Single white blood cell cropped from the smear photograph. Magnification 100×. Peripheral blood smear — 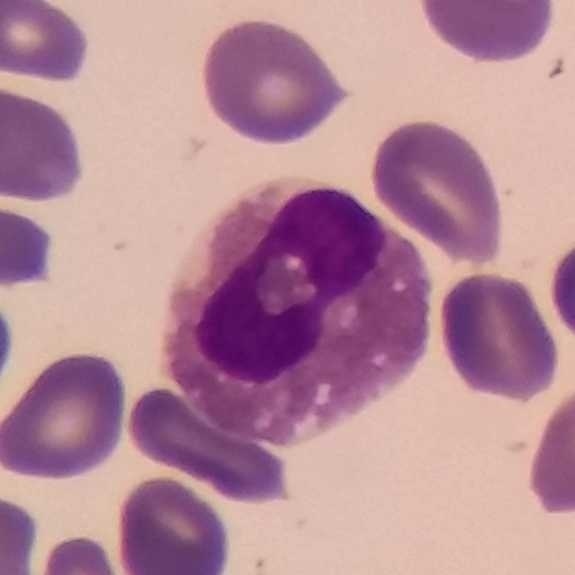 The white blood cell in this image is an eosinophil.